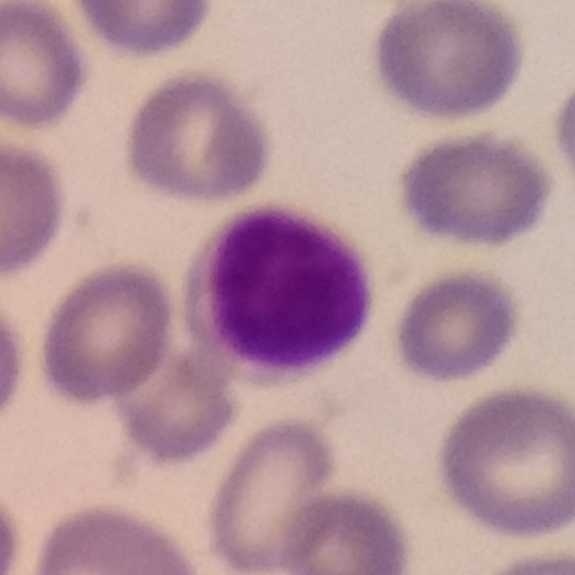
Specimen: peripheral blood smear.
Classification: lymphocyte.
Lineage: lymphoid.